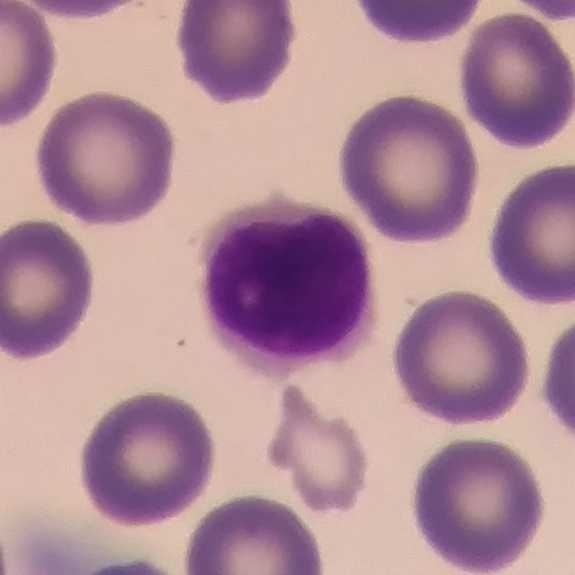

Preparation: Peripheral blood smear; stained with Giemsa; smartphone photomicrograph. Cell type = lymphocyte.